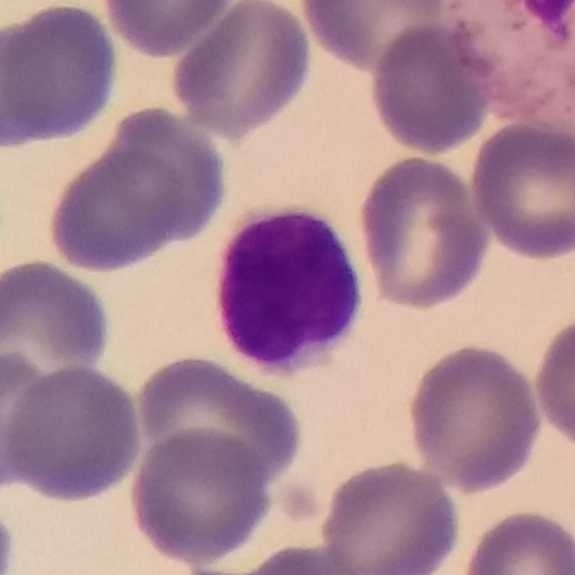
Acquisition: Peripheral blood film.
Q: Identify the cell.
A: It is a lymphocyte.